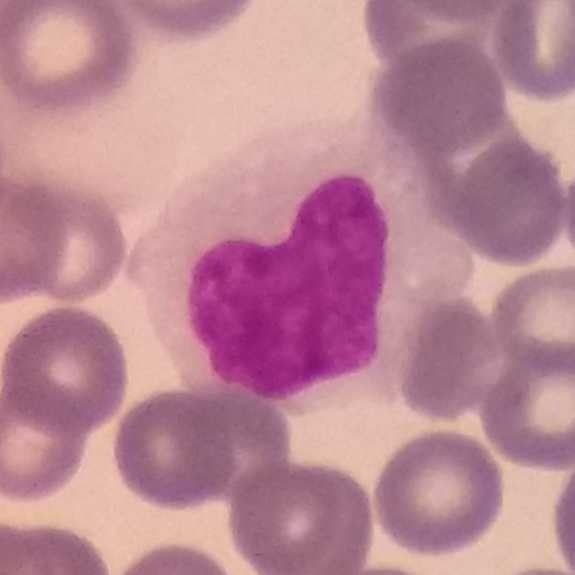Specimen: peripheral blood film.
Classification: monocyte.
Lineage: myeloid.